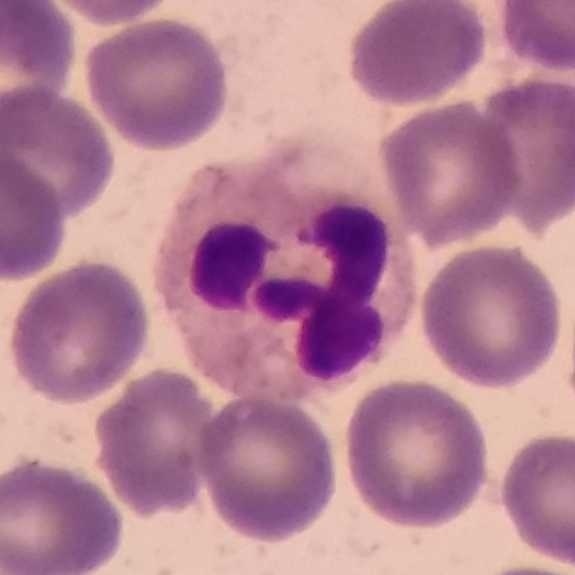

Peripheral blood smear · 575×575 px.
The cell type is neutrophil.